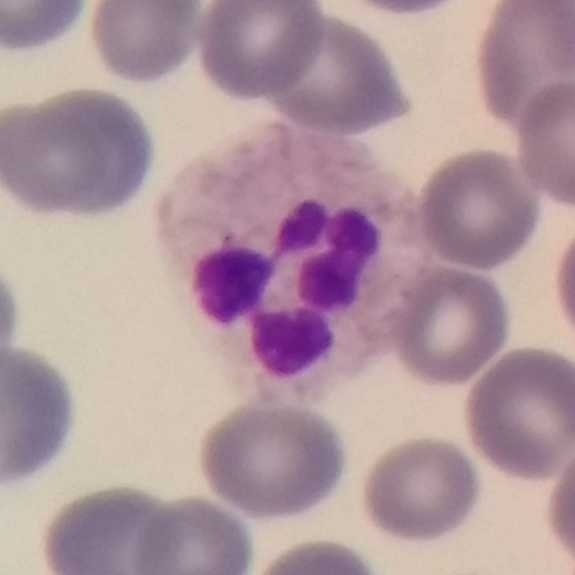

The cell type is neutrophil.